Peripheral blood film:
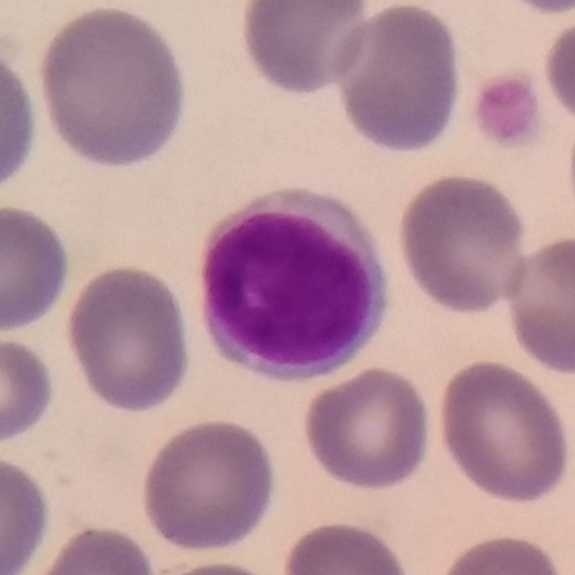 Cell type — lymphocyte.